Peripheral blood smear — 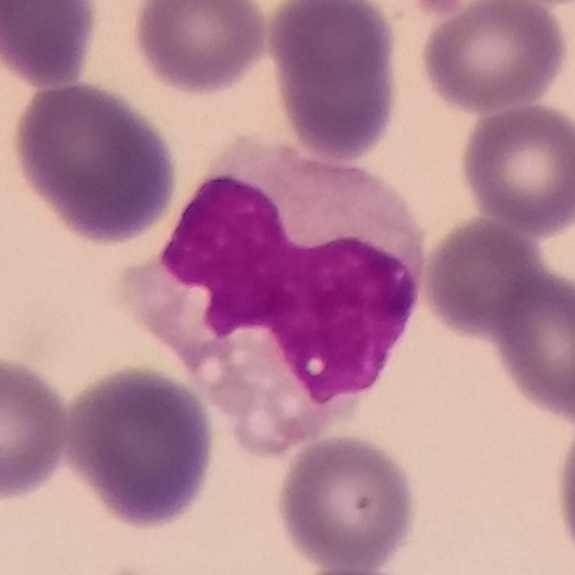Classification = monocyte.